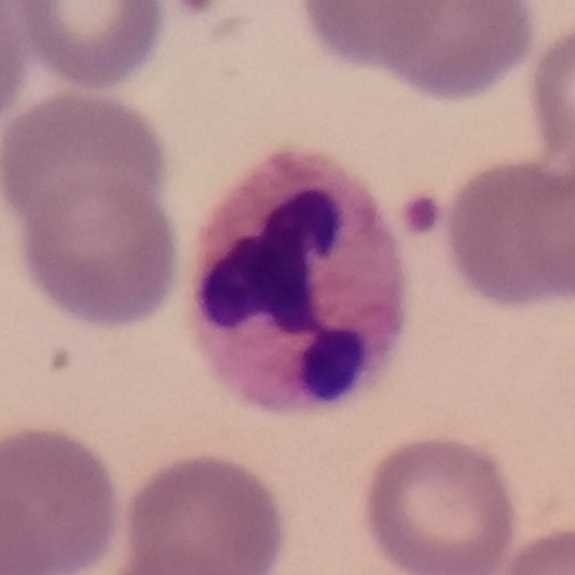
Context: Peripheral blood film · stained with Giemsa · smartphone photomicrograph.

The white blood cell in this image is a neutrophil granulocyte.